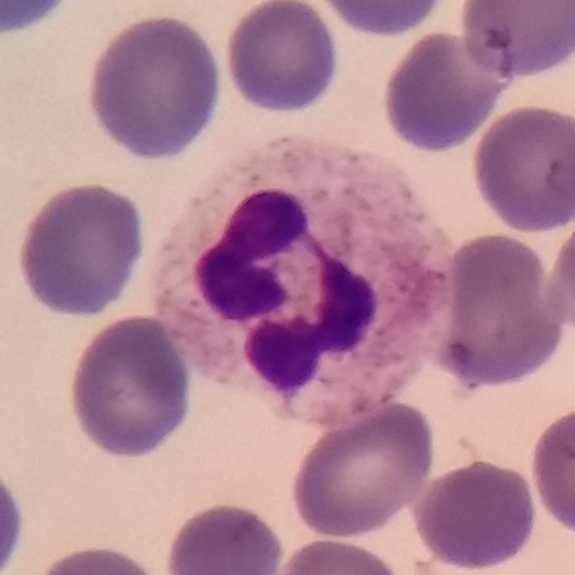
Image: Peripheral blood smear; 575×575. Q: What type of cell is this?
A: Neutrophil.